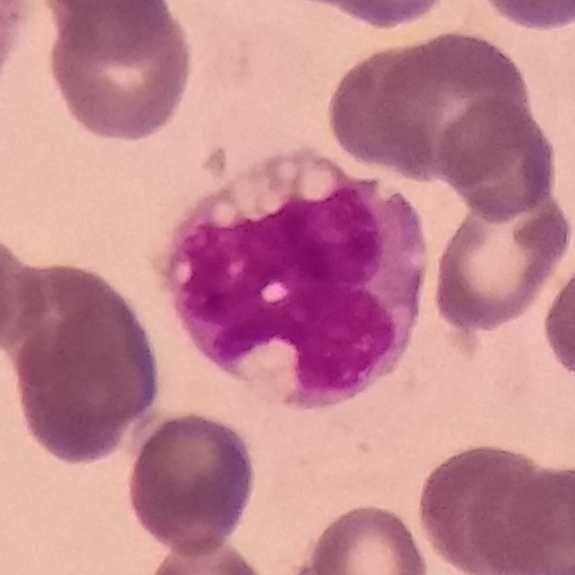
Preparation: Peripheral blood smear. Q: What is the morphological classification of this cell?
A: Monocyte.